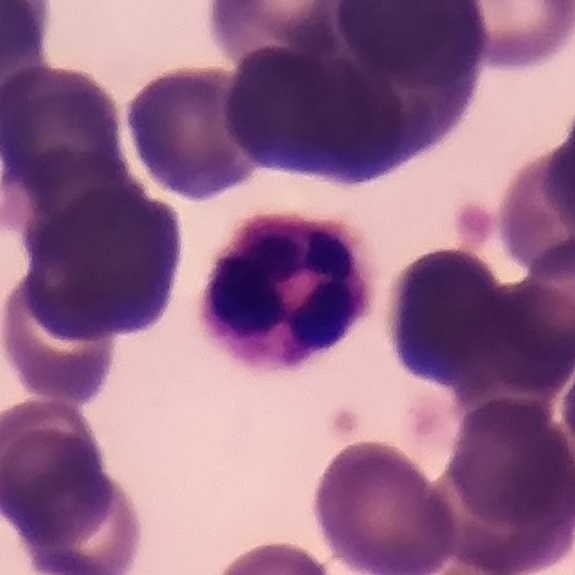Morphology consistent with a neutrophilic granulocyte.

Image: Single-cell crop · peripheral blood smear.